Peripheral blood smear; Giemsa stain; 575 by 575 pixels
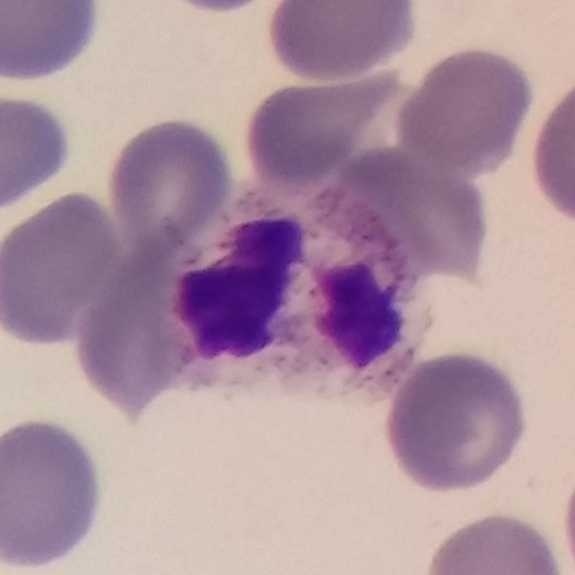

The cell type is neutrophil granulocyte.